Peripheral blood smear; single white blood cell cropped from the smear photograph: 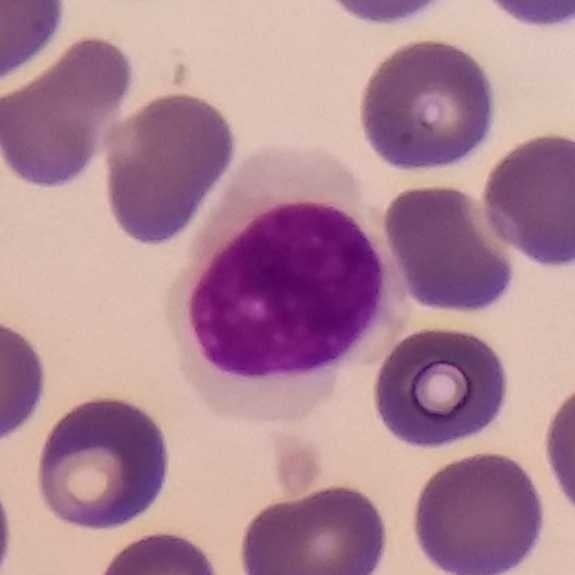
Morphology consistent with a lymphocyte.